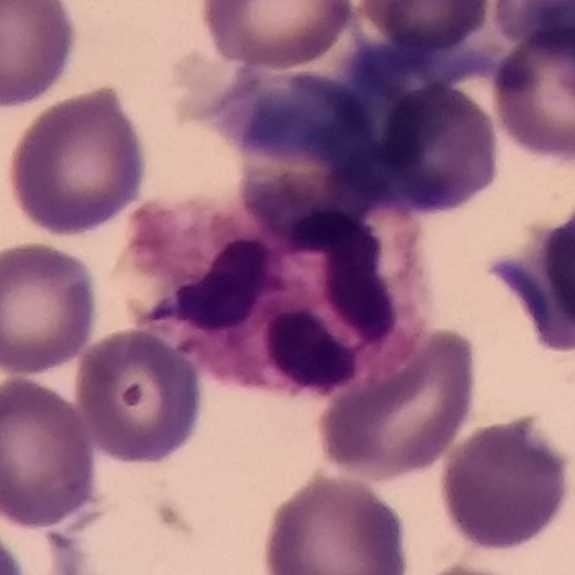

Acquisition: Peripheral blood smear.
Single cell identified as a neutrophil.